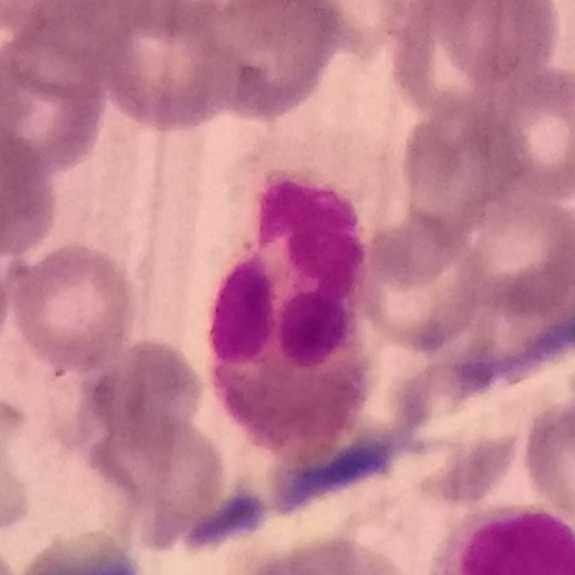Morphology → eosinophil. Acquisition: Peripheral blood smear.